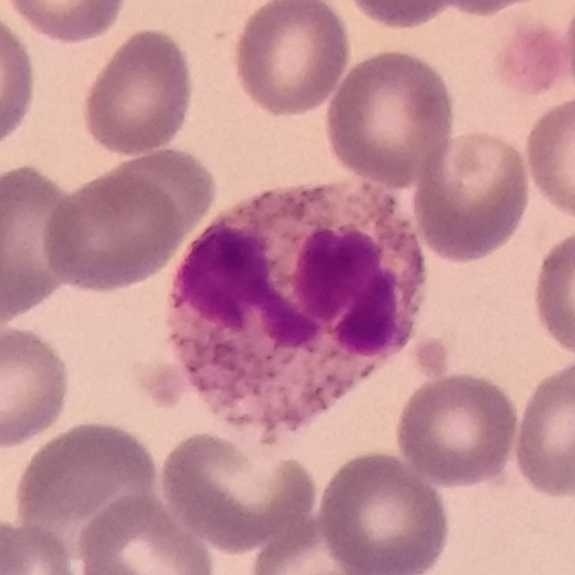
Preparation: Peripheral blood smear. 100× magnification.
This is a neutrophil granulocyte.